Imaged at 100× · peripheral blood smear
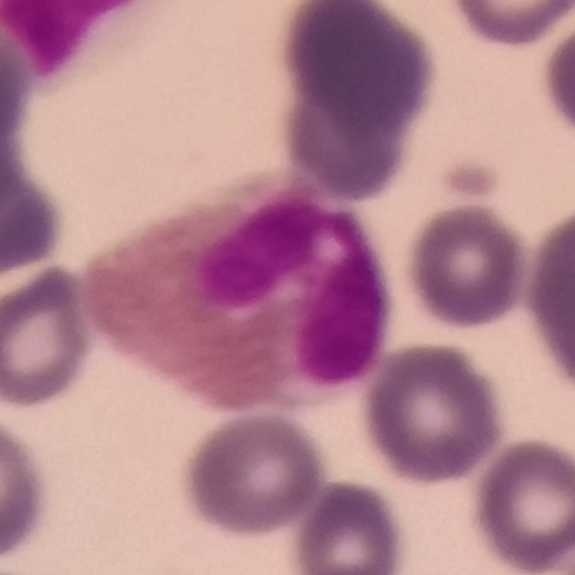Specimen: peripheral blood smear.
Morphological class: eosinophil.